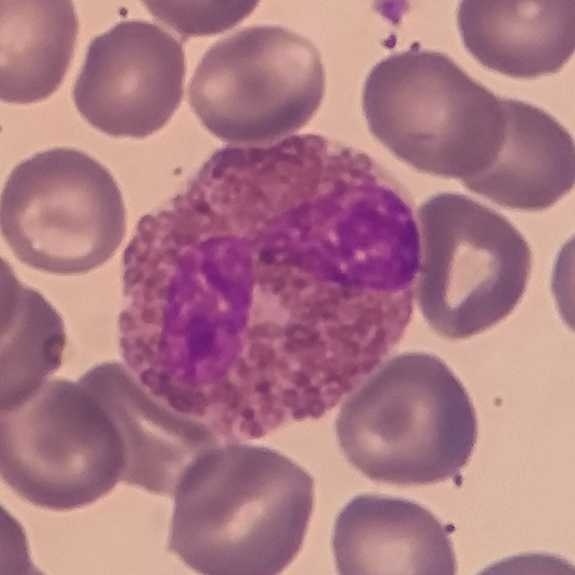

Peripheral blood smear.
An eosinophil.